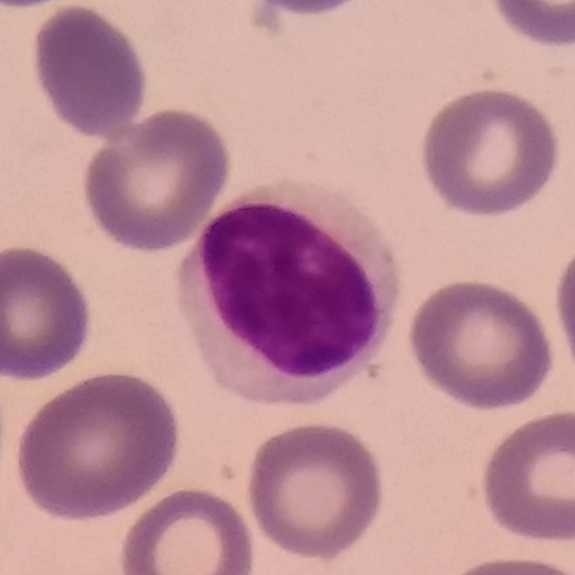

Preparation: Peripheral blood smear. Morphology — lymphocyte.